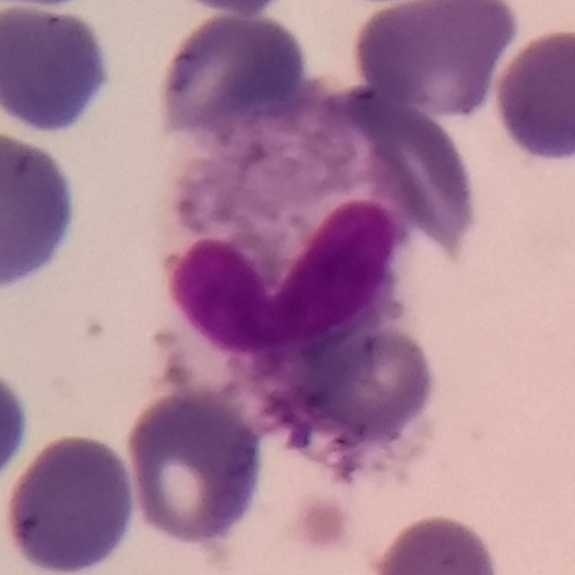

Morphological class — eosinophilic granulocyte. Acquisition: Peripheral blood film.